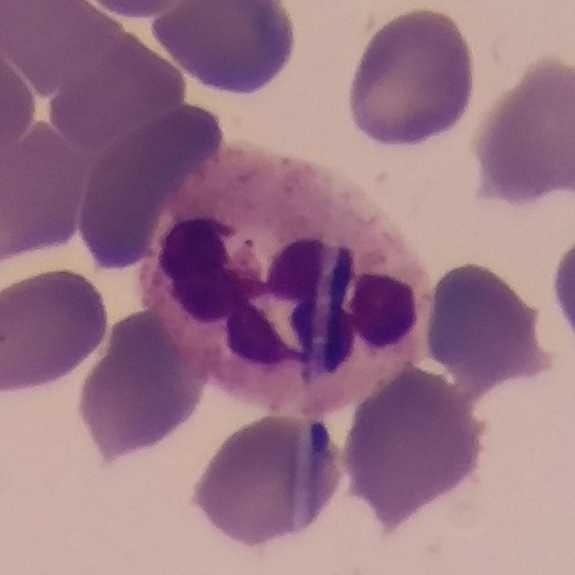
Acquisition: Peripheral blood film; smartphone camera mounted on the microscope eyepiece.
The cell shown is a neutrophilic granulocyte.